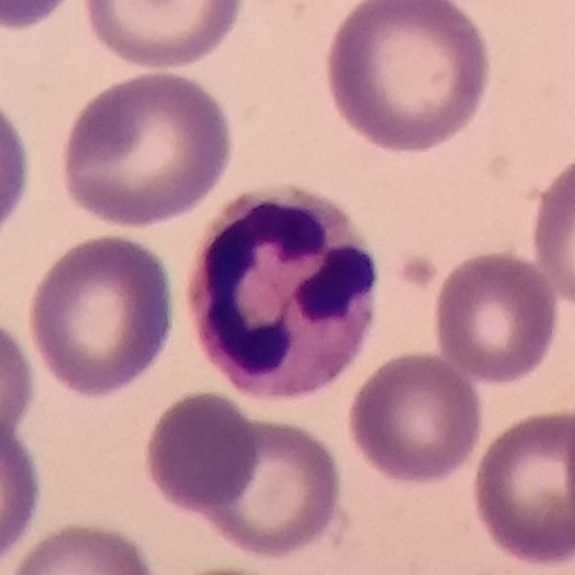White blood cell type: neutrophil.